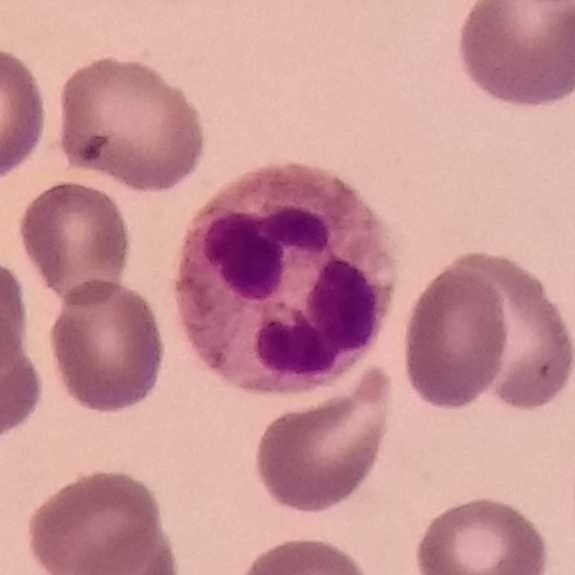
Q: Identify the cell.
A: A neutrophil granulocyte. Cropped to one leukocyte; photographed through a light microscope with a smartphone camera; peripheral blood film.